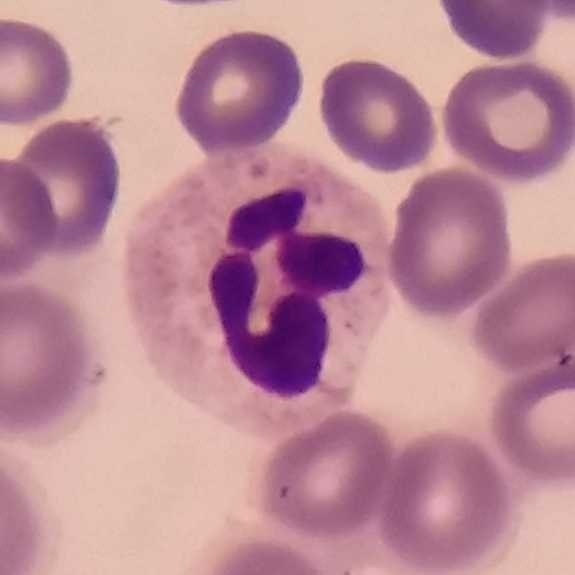

From a peripheral blood smear: a neutrophilic granulocyte.